Cropped to one leukocyte. Peripheral blood film:
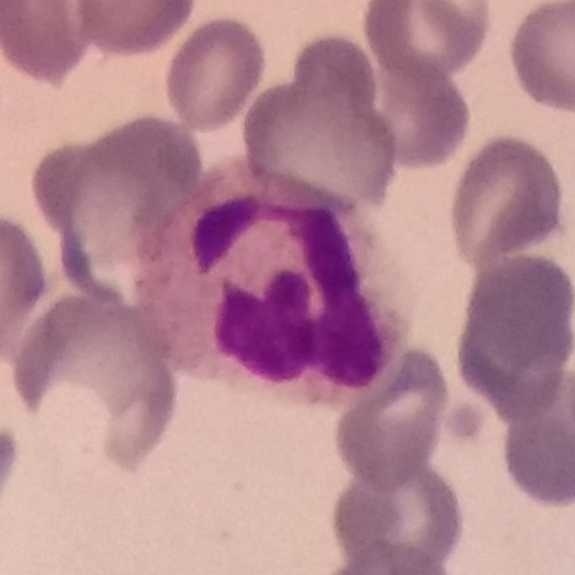

Single cell identified as a neutrophil granulocyte.